Giemsa stain; image size 575×575; peripheral blood smear:
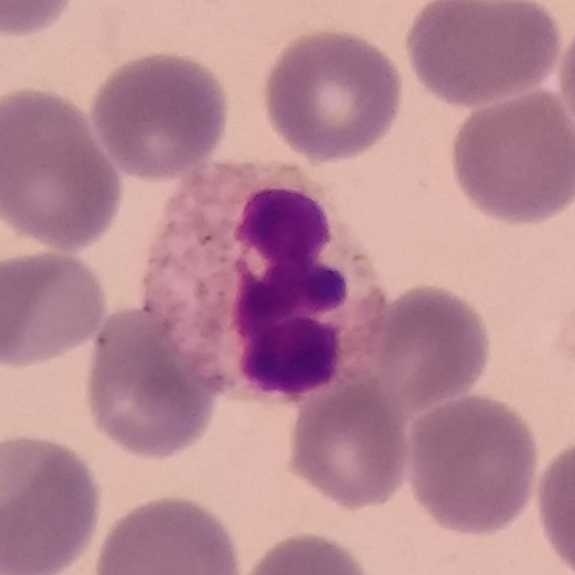 Morphology consistent with a neutrophil granulocyte.